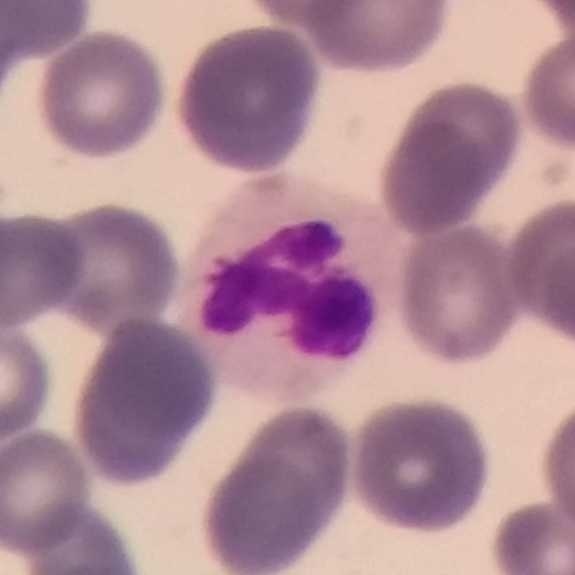 White blood cell type — neutrophil. Peripheral blood film; stained with Giemsa.